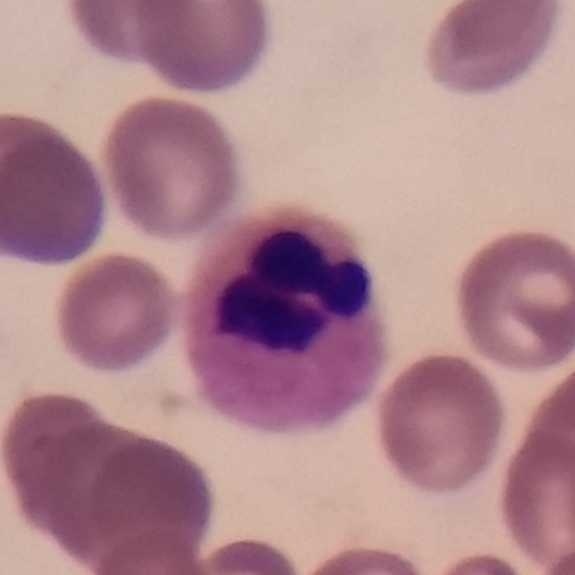

Acquisition: Peripheral blood film. The cell is neutrophil granulocyte.